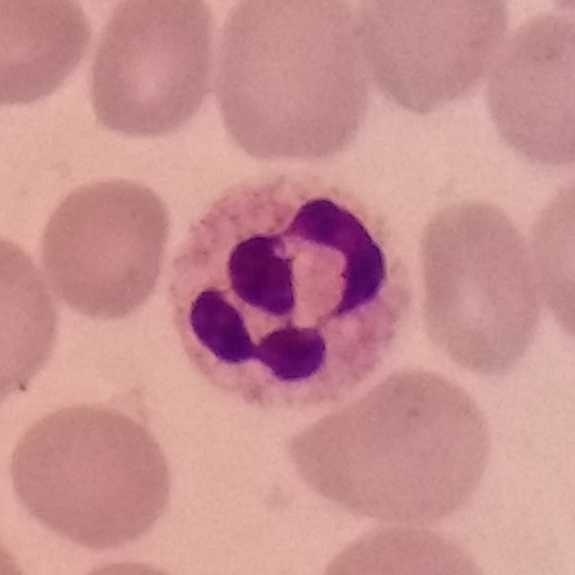

A neutrophil granulocyte.
Image: Peripheral blood film.